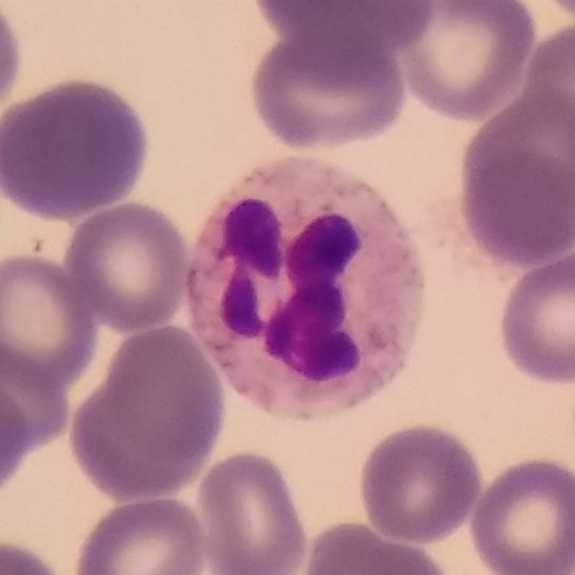

Morphology — neutrophil. Image: Peripheral blood smear; imaged at 100×.